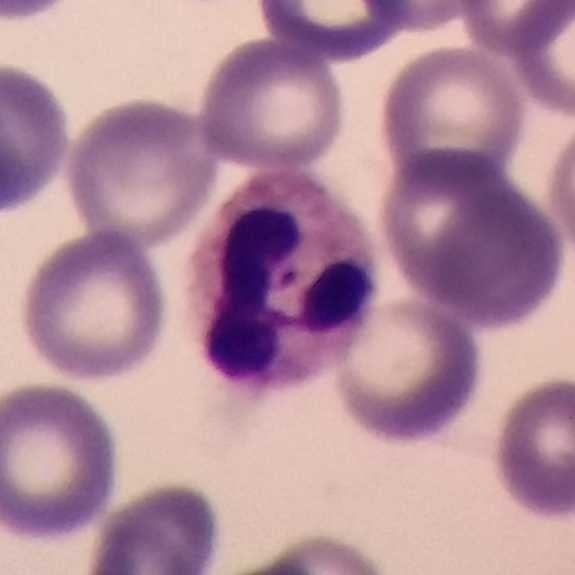 The white blood cell type is neutrophil.